Peripheral blood smear; Giemsa-stained
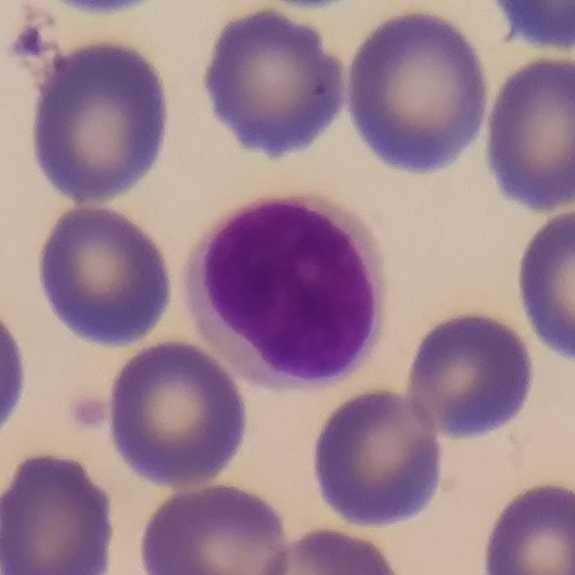

Classification: lymphocyte.